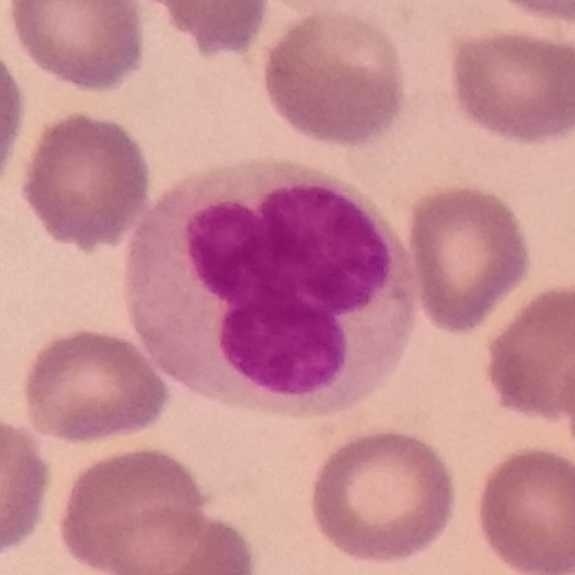 Acquisition: Single-cell field. Peripheral blood film. Phone-camera image taken through the microscope ocular.
The white blood cell in this image is a monocyte.